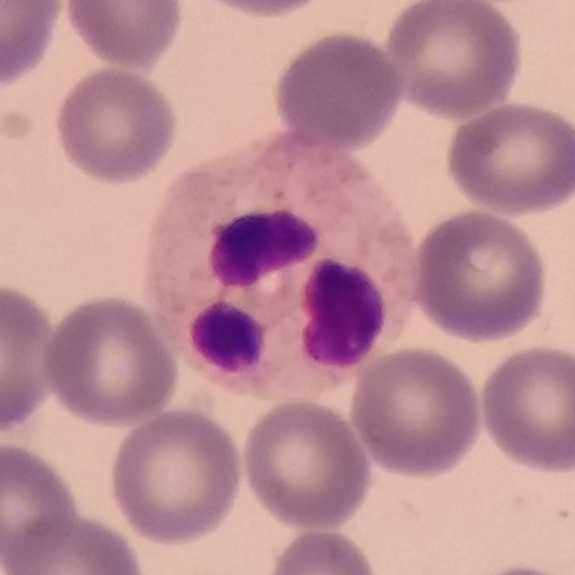 Peripheral blood film; 575×575 px.

Morphology — neutrophil.